Peripheral blood film — 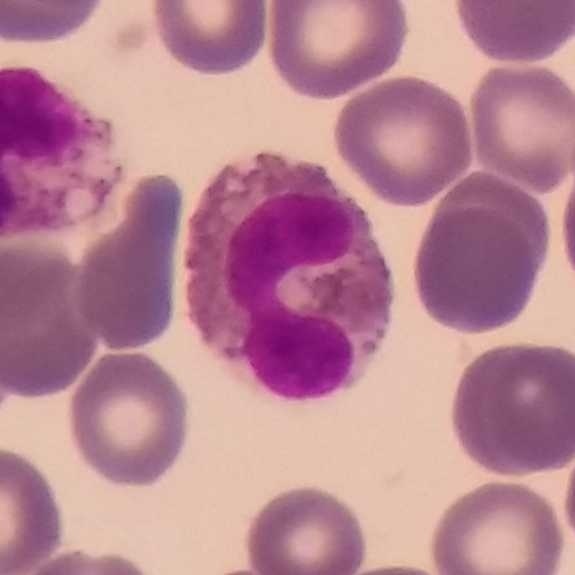

The white blood cell in this image is an eosinophilic granulocyte.